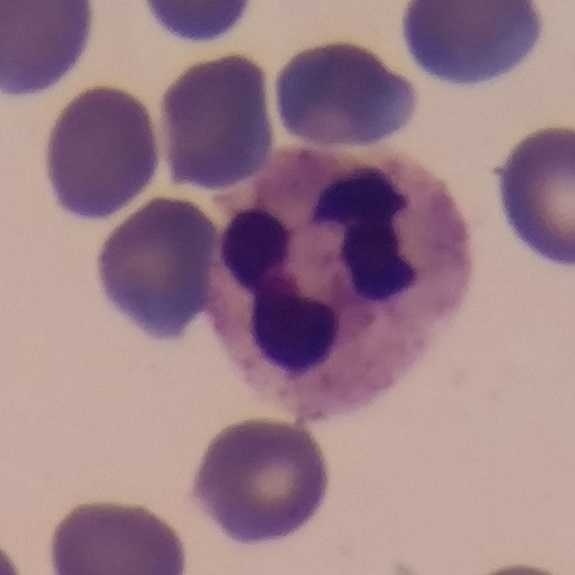
Identified as a neutrophil.
Cropped to one leukocyte. 575×575 px. Peripheral blood film.